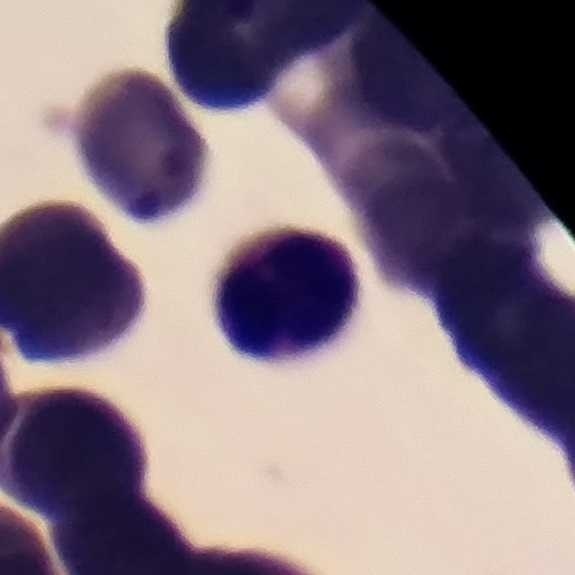

Specimen: peripheral blood smear.
Cell type: lymphocyte.